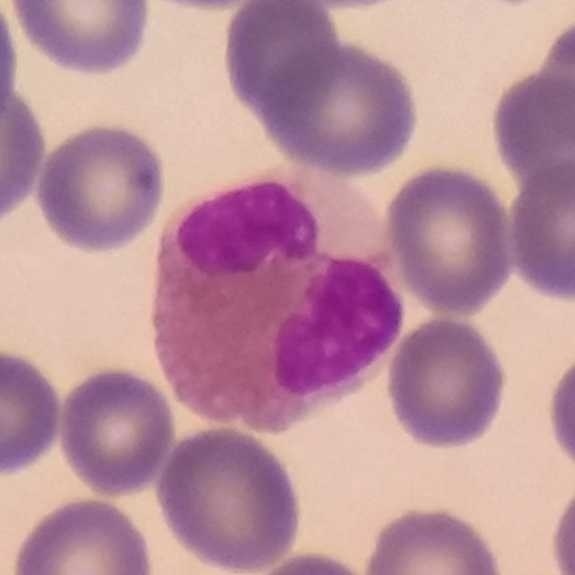
Peripheral blood film.
Showing an eosinophil.